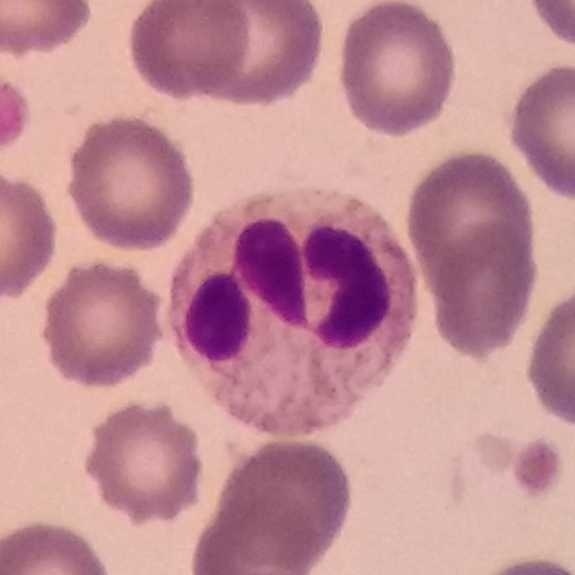 The white blood cell in this image is a neutrophilic granulocyte.
Context: Peripheral blood film.